100× magnification; peripheral blood smear:
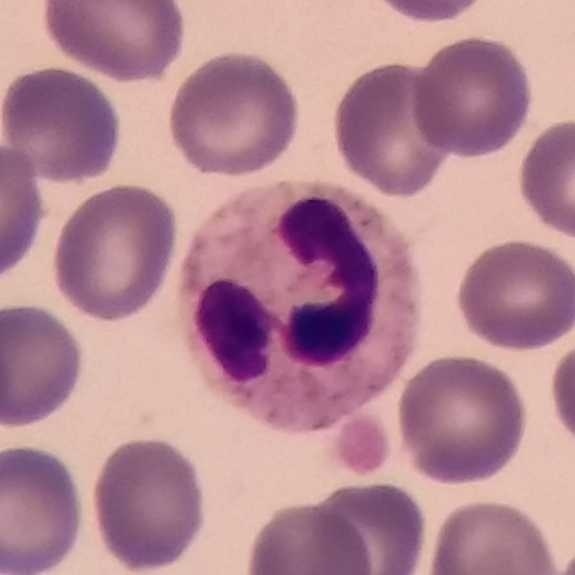The white blood cell in this image is a neutrophil granulocyte.